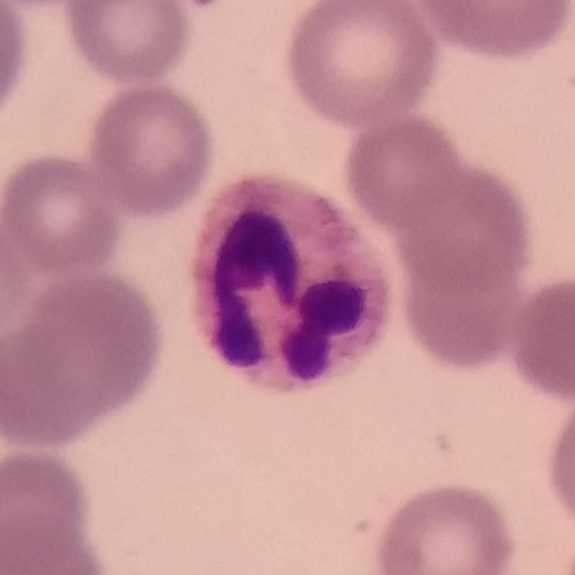 Specimen: peripheral blood smear.
White blood cell type: neutrophilic granulocyte.
Lineage: myeloid.